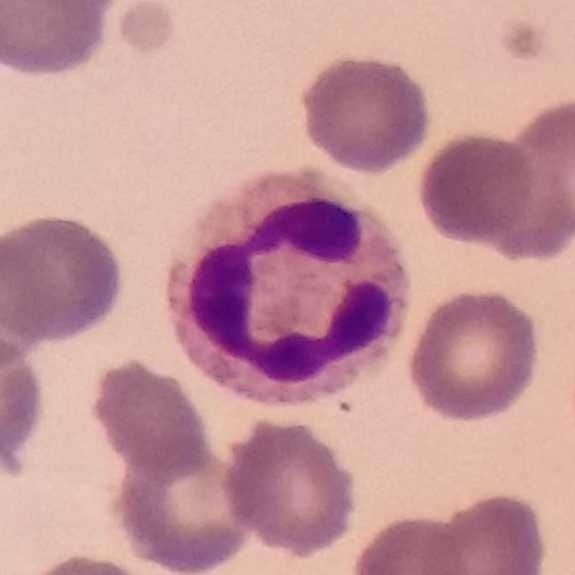

The white blood cell type is neutrophil granulocyte.